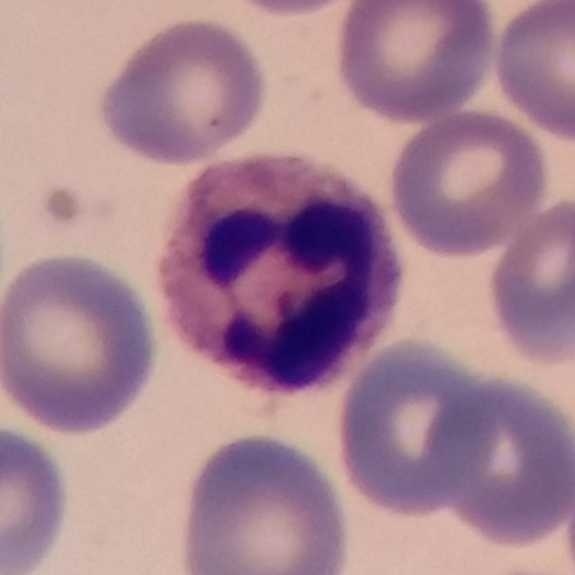
Neutrophil granulocyte.

Image: Cropped to one leukocyte; peripheral blood smear; Giemsa-stained.